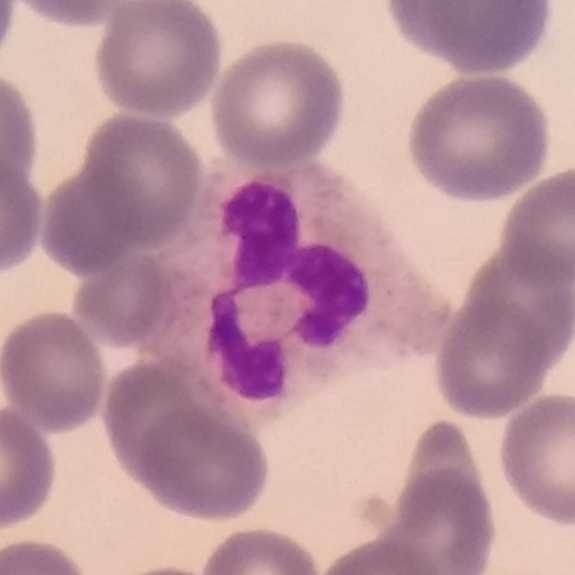 Specimen: peripheral blood film.
White blood cell type: neutrophil granulocyte.
Lineage: myeloid.